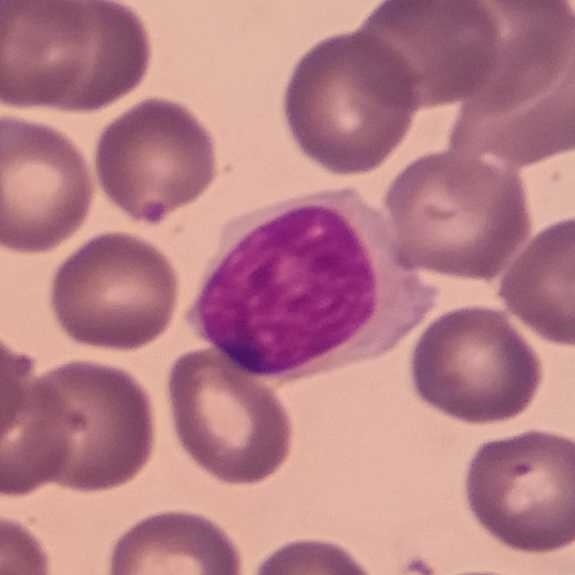Preparation: Peripheral blood film. {"cell_type": "lymphocyte"}